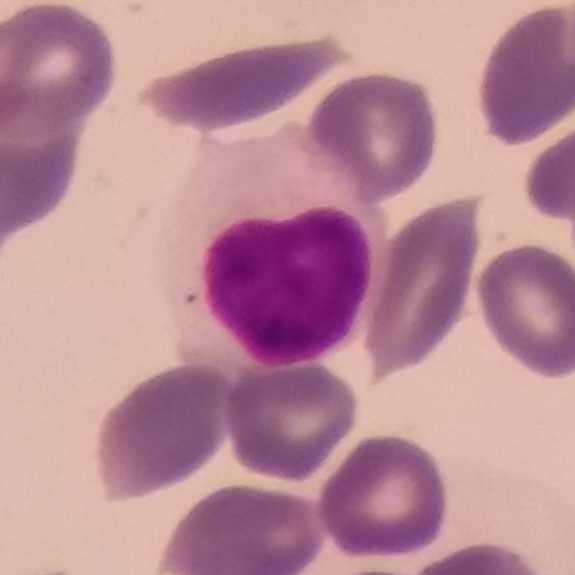

Context: Imaged at 100×. Specimen: peripheral blood film.
Cell: lymphocyte.
Lineage: lymphoid.